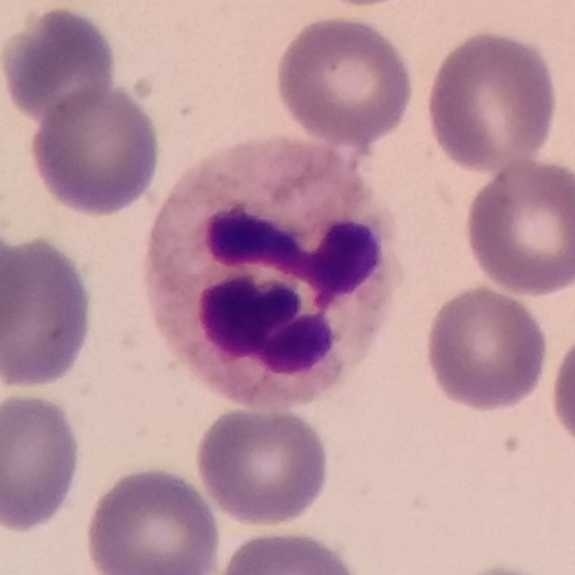

Q: What is this?
A: It is a neutrophil.
Preparation: Peripheral blood smear. Single white blood cell cropped from the smear photograph.